Peripheral blood smear: 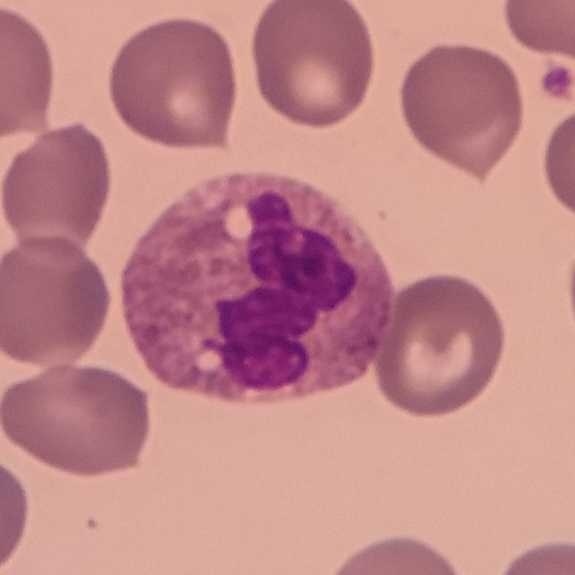 {"cell_type": "neutrophil", "lineage": "myeloid"}